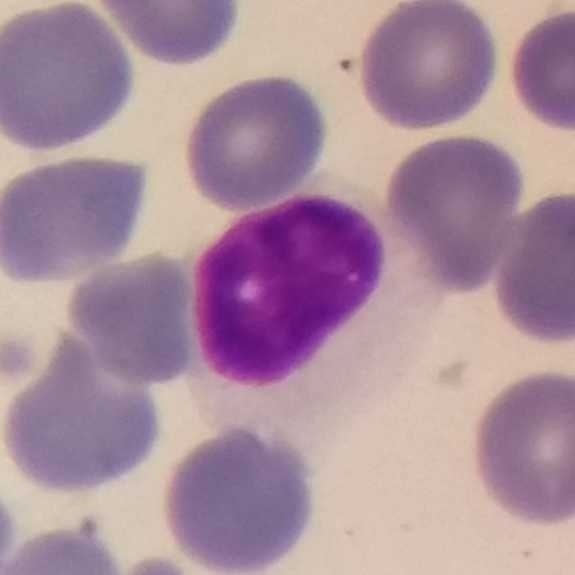 Specimen: peripheral blood smear.
Cell: lymphocyte. Preparation: 100× magnification.